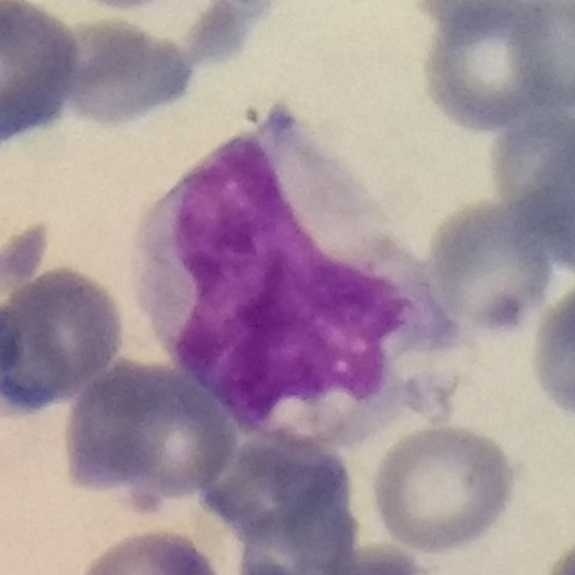
Peripheral blood film, single cell — monocyte.